Peripheral blood smear — 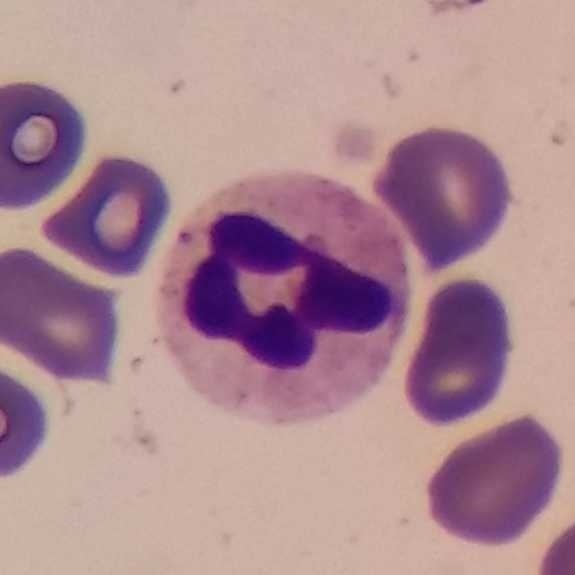
The white blood cell type is neutrophilic granulocyte.